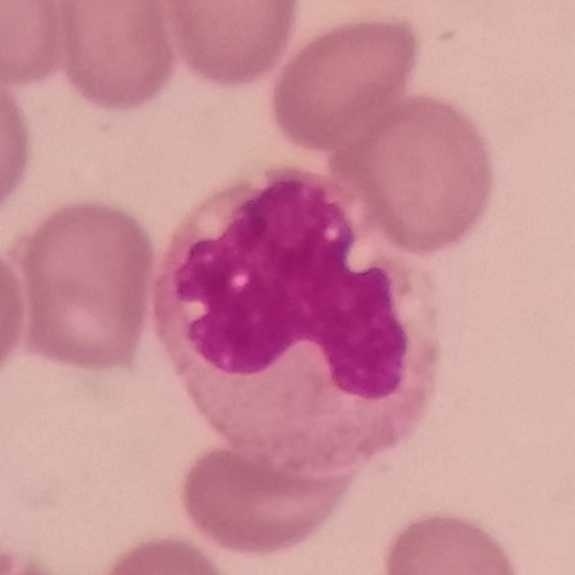

Q: What type of cell is this?
A: It is a monocyte.